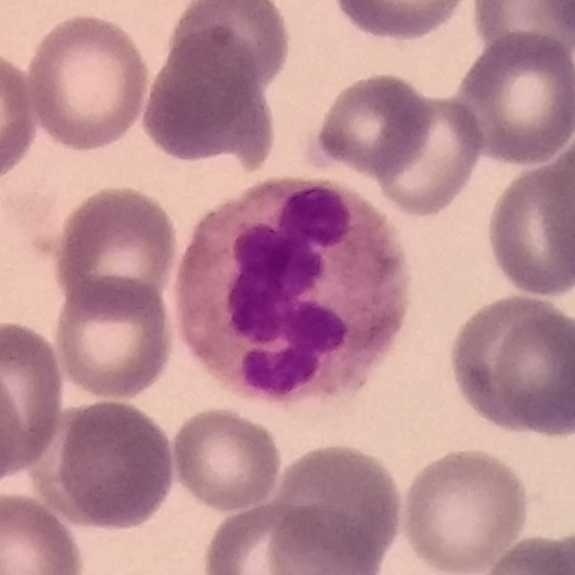Q: What is shown here?
A: This is a neutrophil granulocyte. Context: Photographed through a light microscope with a smartphone camera · peripheral blood film.